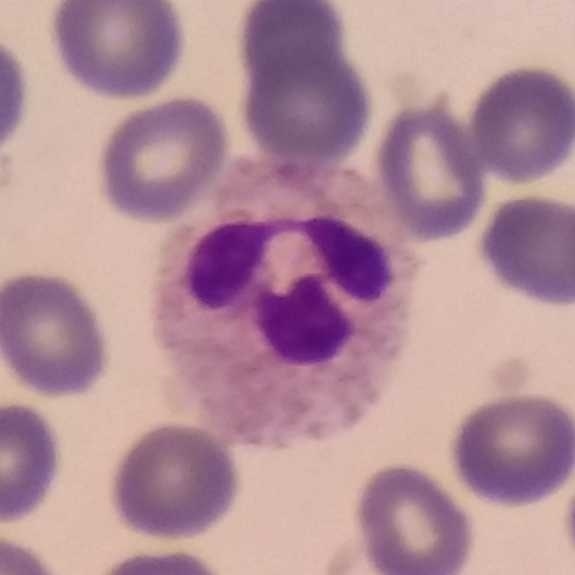 Acquisition: Peripheral blood smear.
Q: What is this?
A: Neutrophilic granulocyte.